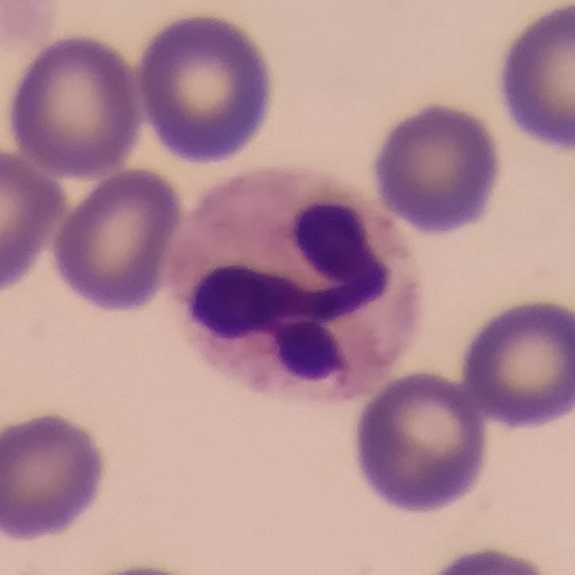 Image: Single-cell field.
Specimen: peripheral blood smear.
White blood cell type: neutrophilic granulocyte.
Lineage: myeloid.